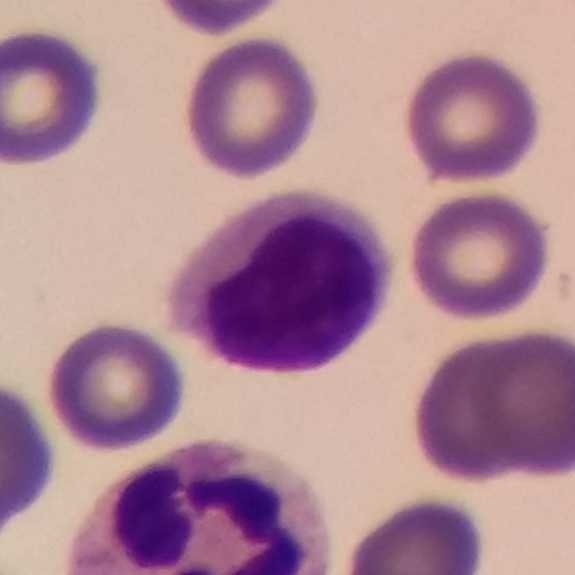
Specimen: peripheral blood smear.
White blood cell type: lymphocyte.
Single-cell crop.